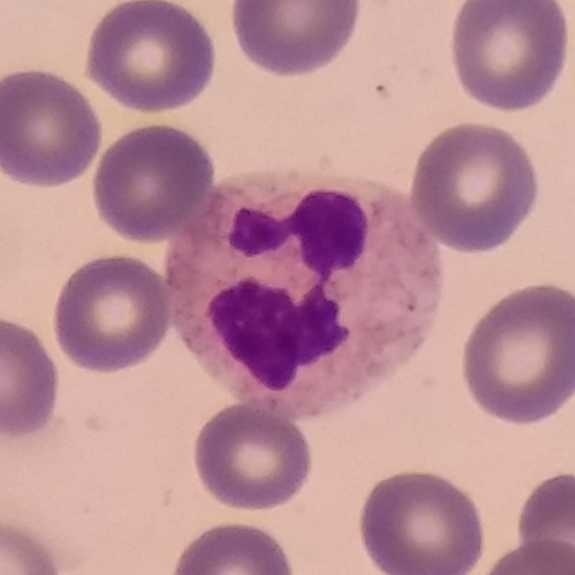

Image: Peripheral blood film; magnification 100×; Giemsa-stained. Morphological class: neutrophil granulocyte.